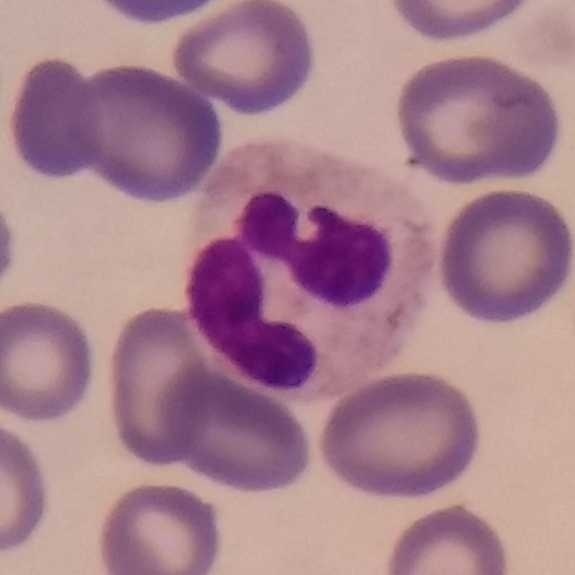
Impression → neutrophil.
Acquisition: Peripheral blood smear.